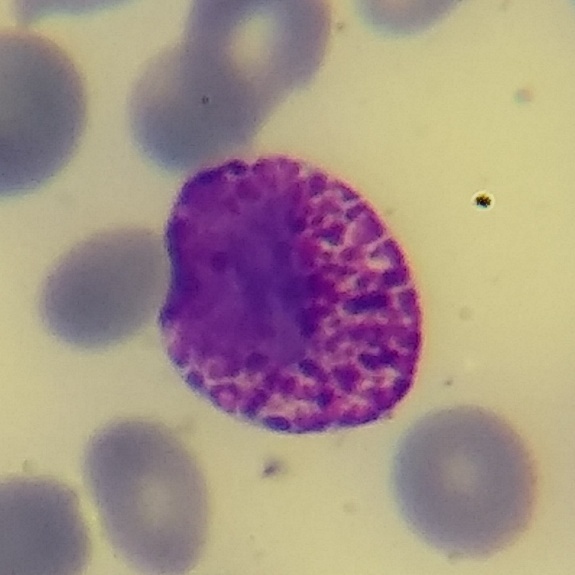
Acquisition: 575×575 px.
Specimen: peripheral blood film.
Cell type: basophil.